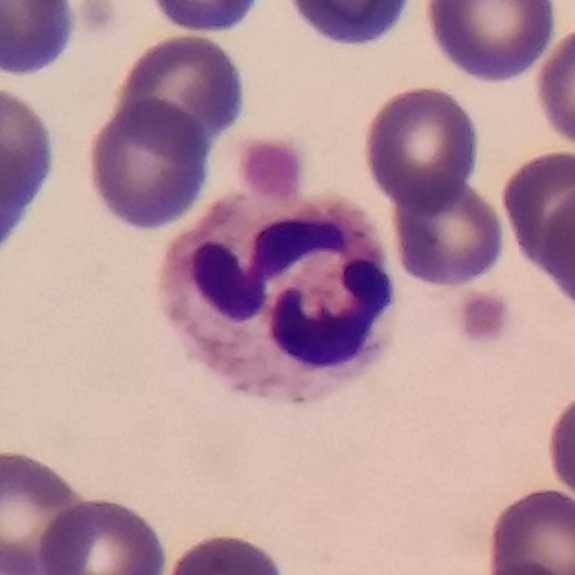
Specimen: peripheral blood film.
White blood cell type: neutrophil granulocyte.